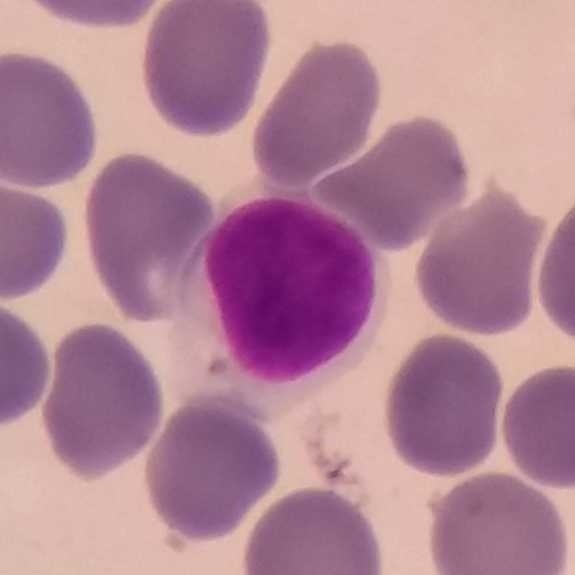

Image: Peripheral blood film. Cell: lymphocyte.